Peripheral blood smear: 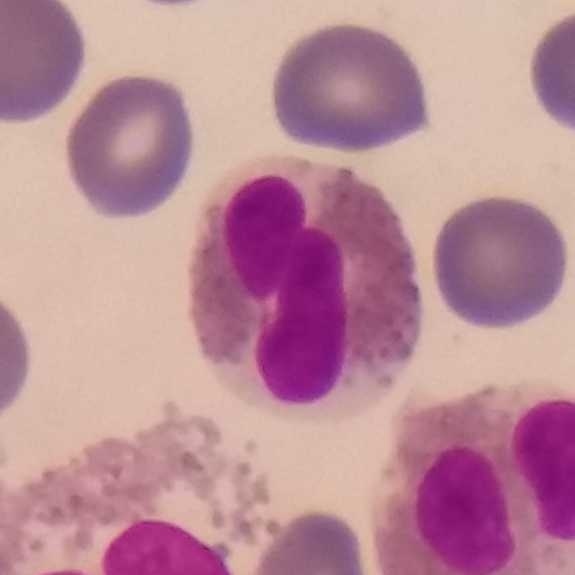
Impression → eosinophil.